Peripheral blood smear · smartphone camera mounted on the microscope eyepiece.
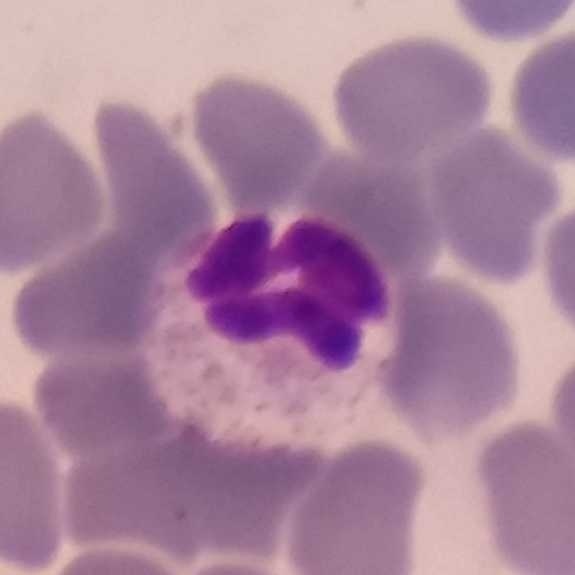Classification — neutrophil.